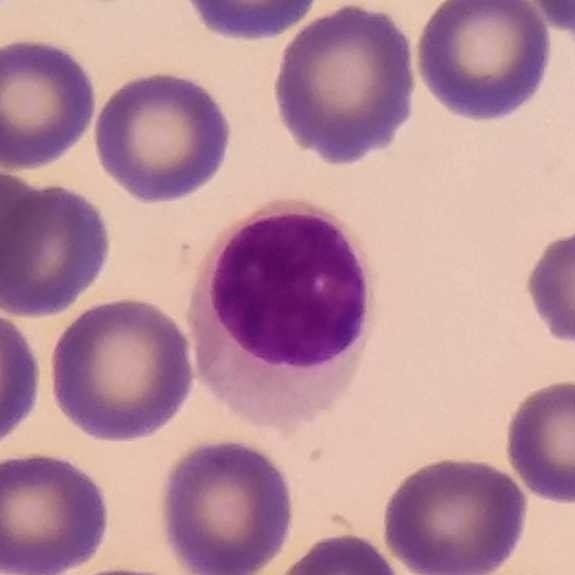
Image: Single-cell crop · peripheral blood smear.

Impression — lymphocyte.